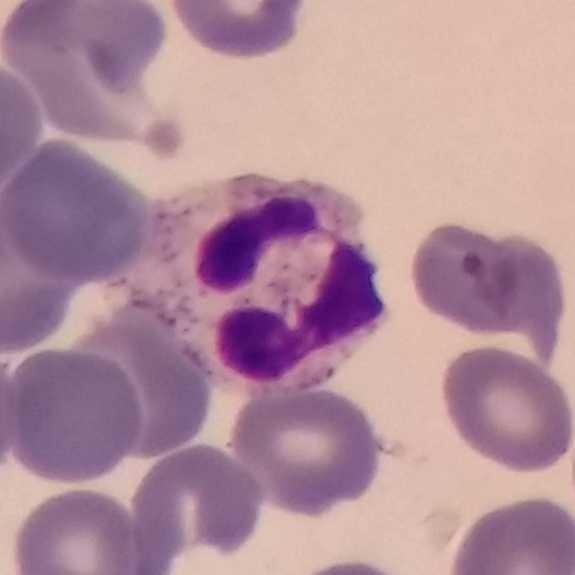
The cell shown is a neutrophil. Peripheral blood film.